Peripheral blood film
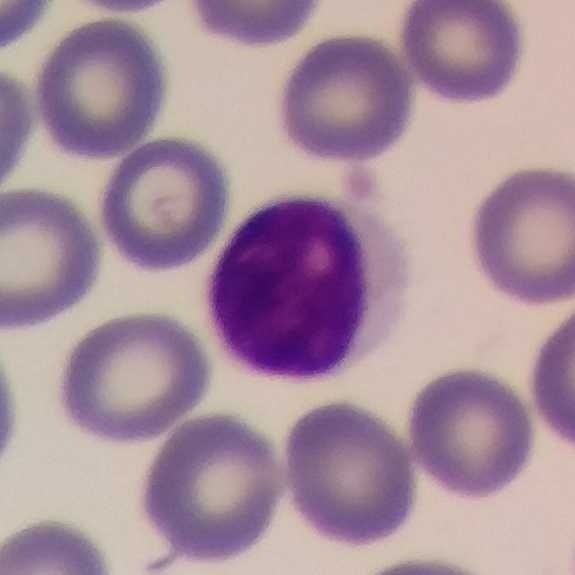

The morphological class is lymphocyte.